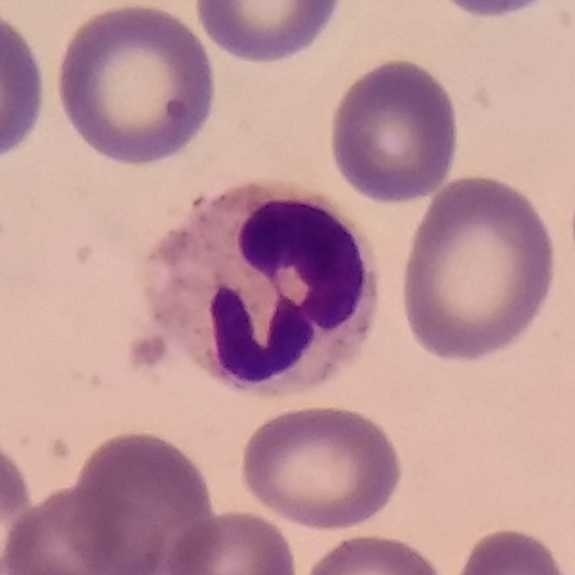 Morphological class = neutrophil.